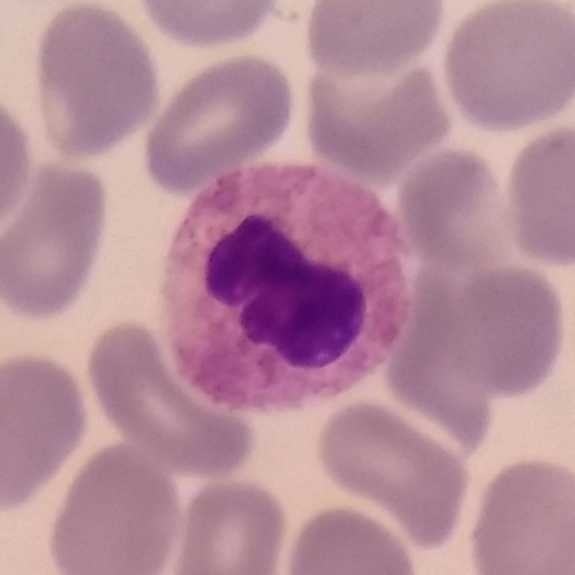

The cell shown is a neutrophil.
Context: Peripheral blood smear.